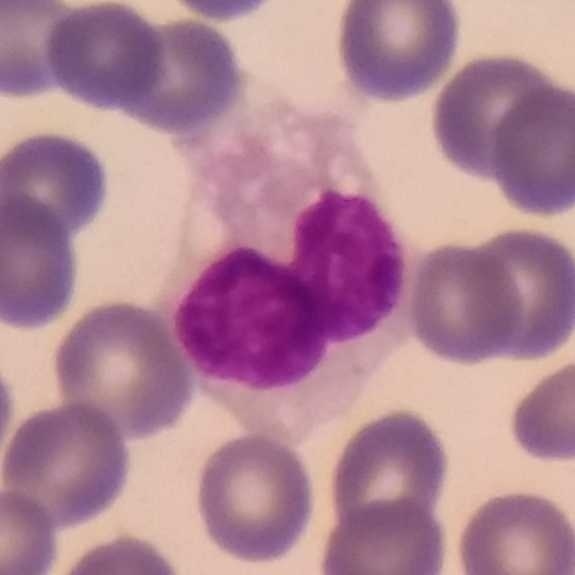 Q: What type of cell is this?
A: Monocyte.